Giemsa-stained. Peripheral blood smear
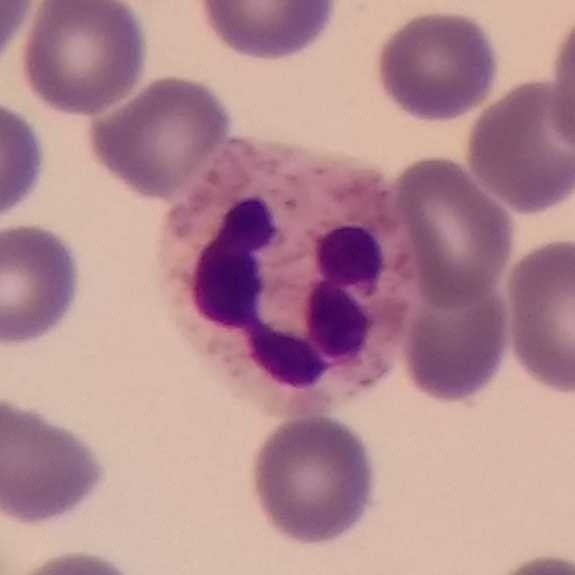

The classification is neutrophil granulocyte.